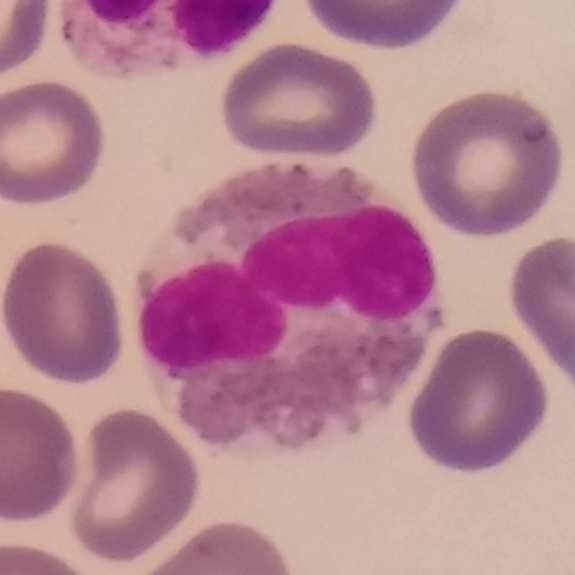

Acquisition: Single-cell crop · smartphone photomicrograph · peripheral blood film. Eosinophilic granulocyte.